Peripheral blood smear.
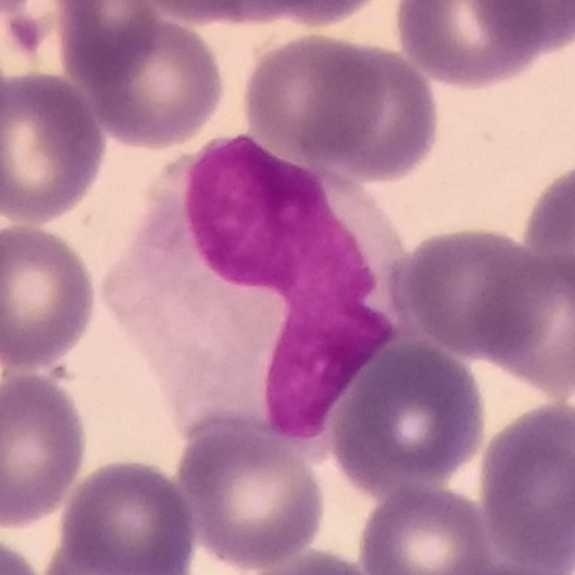

Single cell identified as a monocyte.